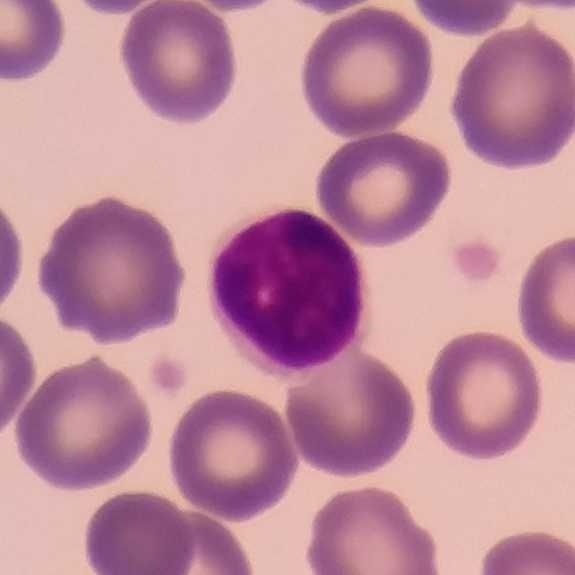

Showing a lymphocyte.